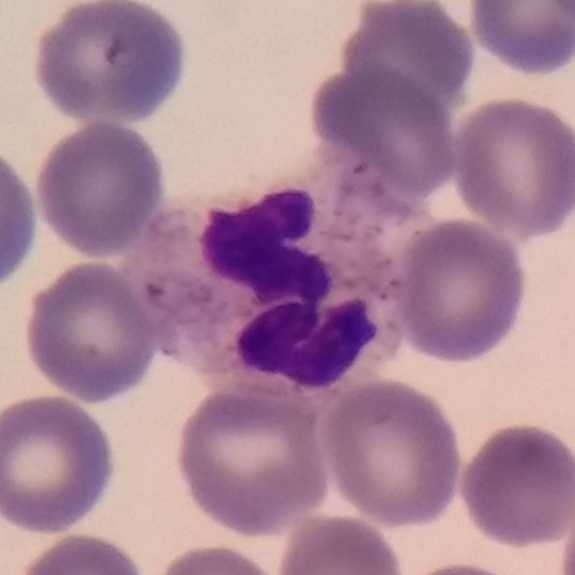

Specimen: peripheral blood smear.
Classification: neutrophil.
Lineage: myeloid. Imaged at 100×.